Giemsa-stained · peripheral blood film — 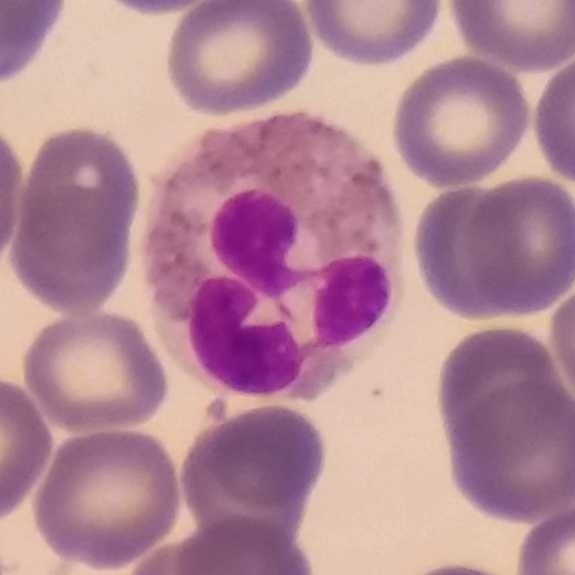An eosinophil.